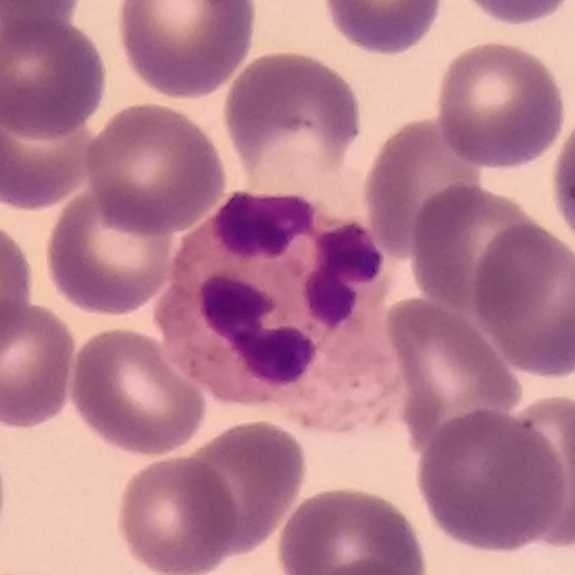 Morphological class = neutrophil.
Acquisition: Image size 575×575. Peripheral blood smear.